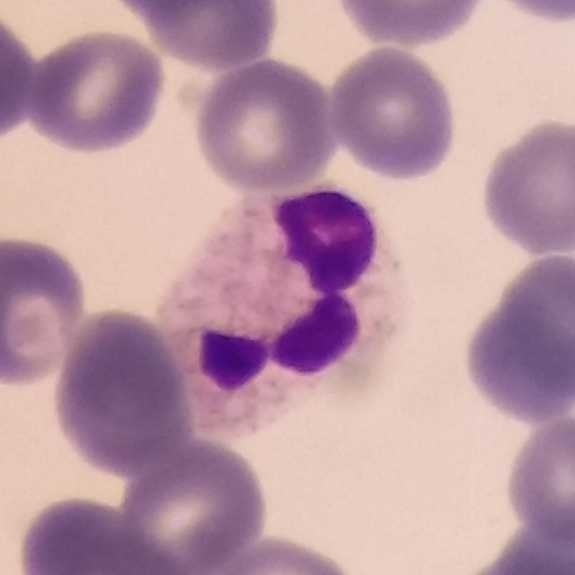 Classification: neutrophilic granulocyte.